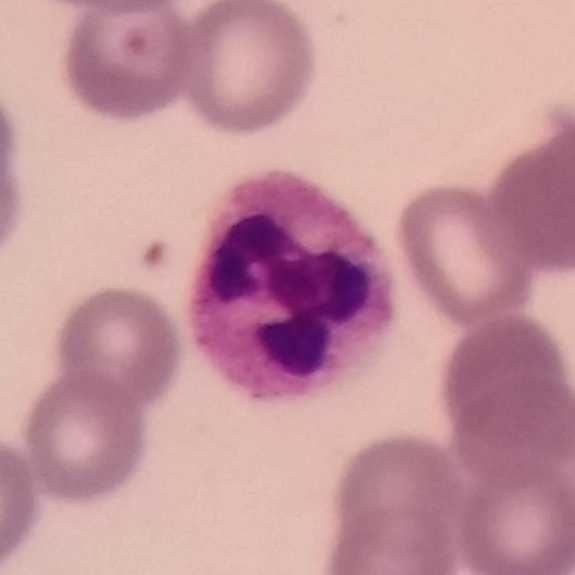
Cell: neutrophilic granulocyte.